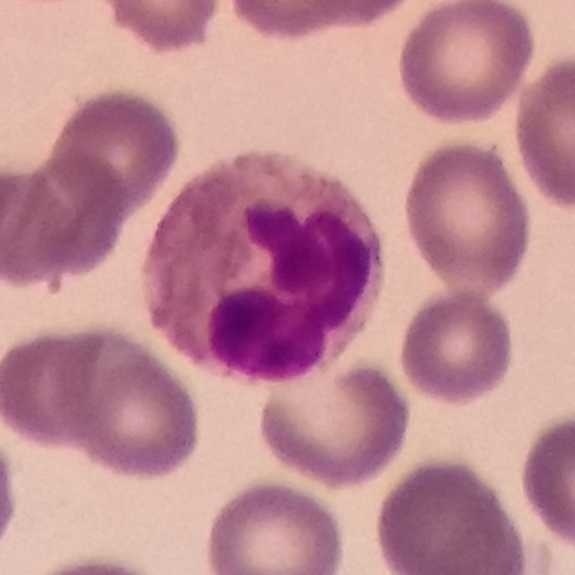

Impression → neutrophilic granulocyte.